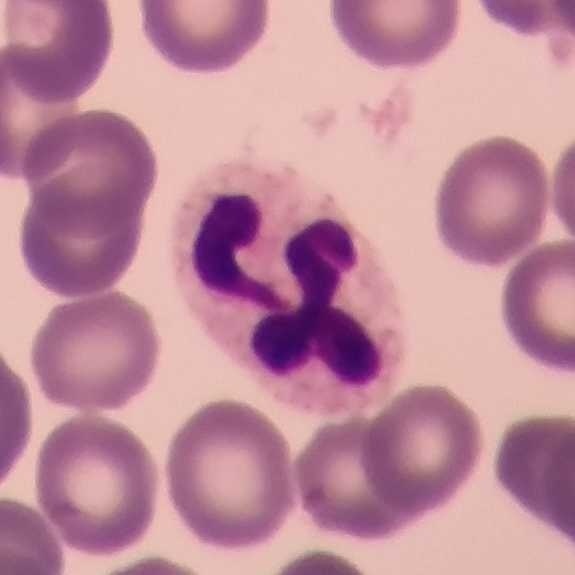Classification: neutrophil.
Imaged at 100×. Single-cell crop. Peripheral blood smear.